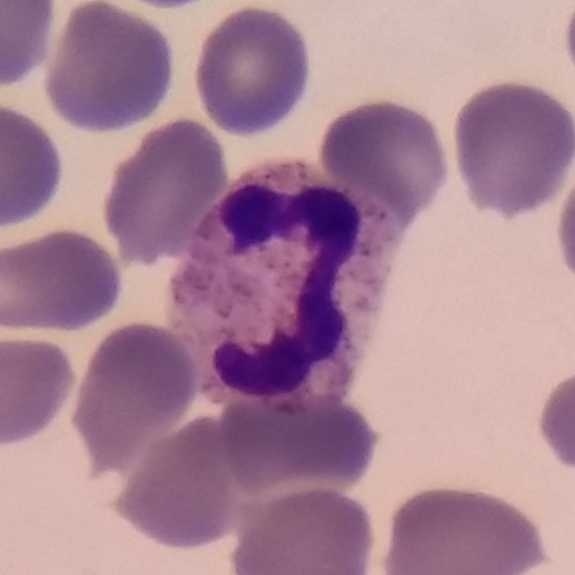 This is a neutrophil granulocyte.

Peripheral blood smear.